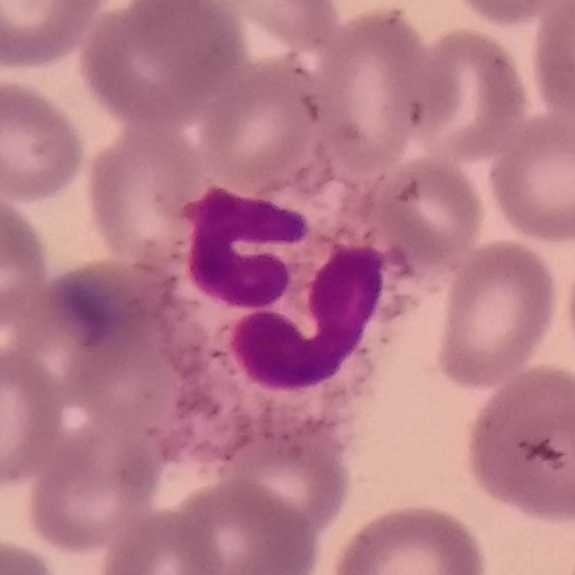 Context: Peripheral blood film.

Morphology — neutrophil.